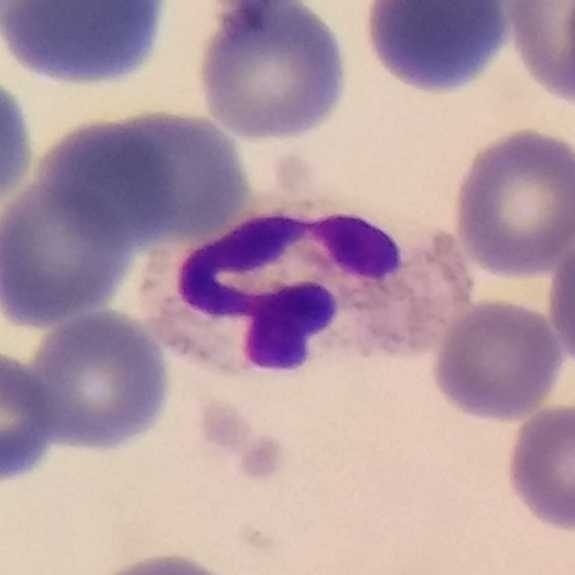
Specimen: peripheral blood film.
Morphological class: neutrophil granulocyte.
Lineage: myeloid.